575 by 575 pixels. Peripheral blood smear: 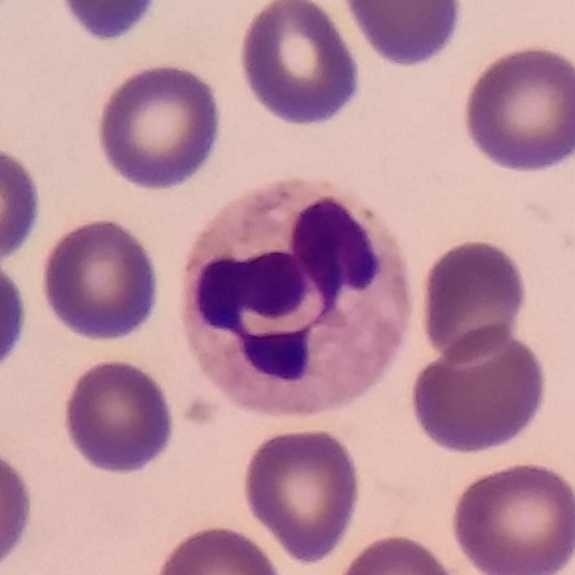A neutrophil.